Peripheral blood smear · 575 by 575 pixels.
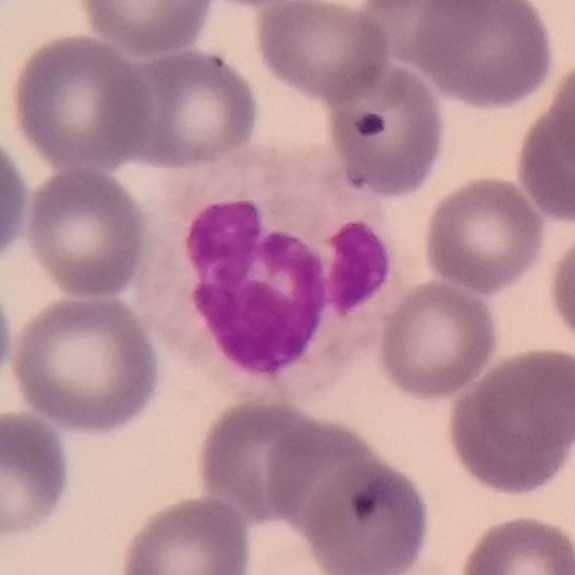 This is a neutrophil granulocyte.